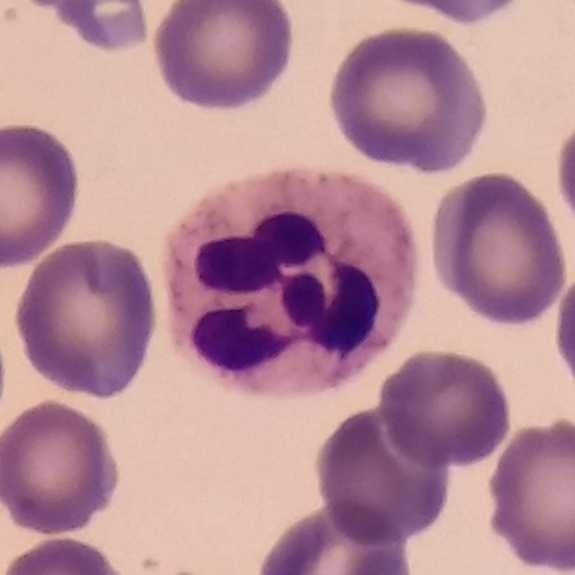A neutrophilic granulocyte on a peripheral blood smear.